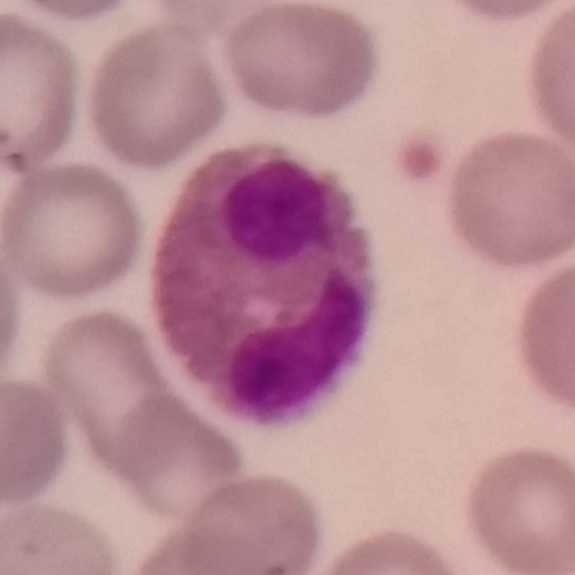 The classification is eosinophil.